575×575 px; peripheral blood smear; single white blood cell cropped from the smear photograph
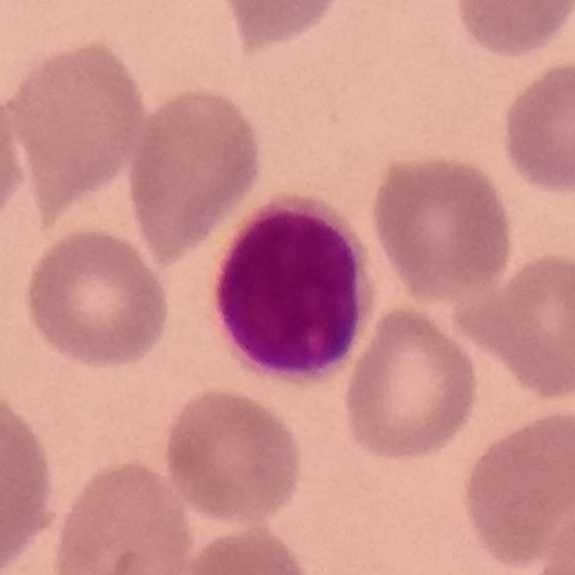

Single cell identified as a lymphocyte.